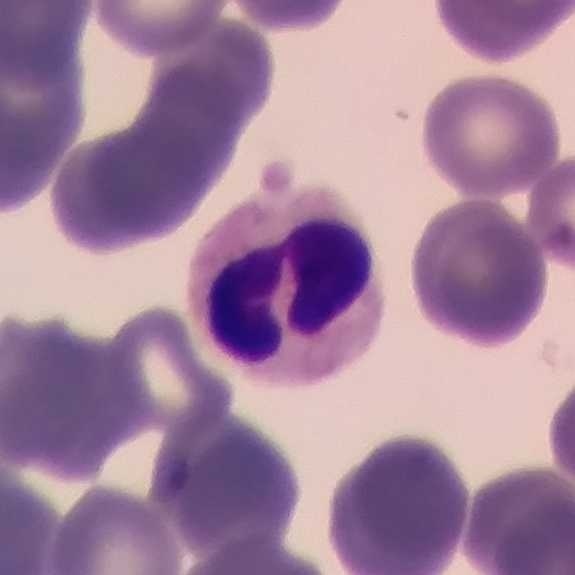Morphological class = neutrophil.